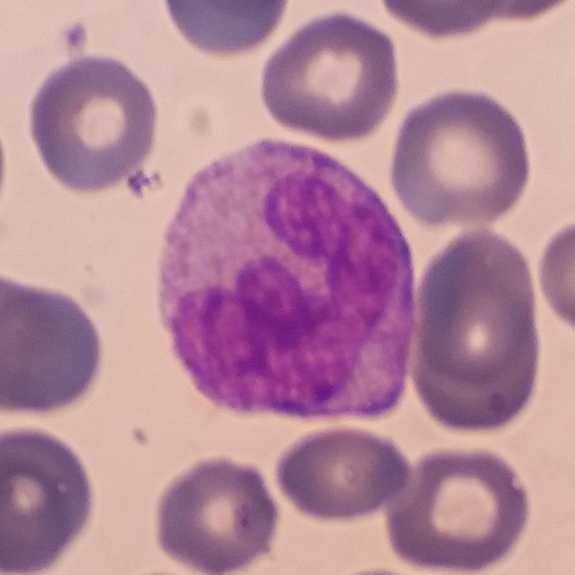Monocyte.
Image: Peripheral blood smear.